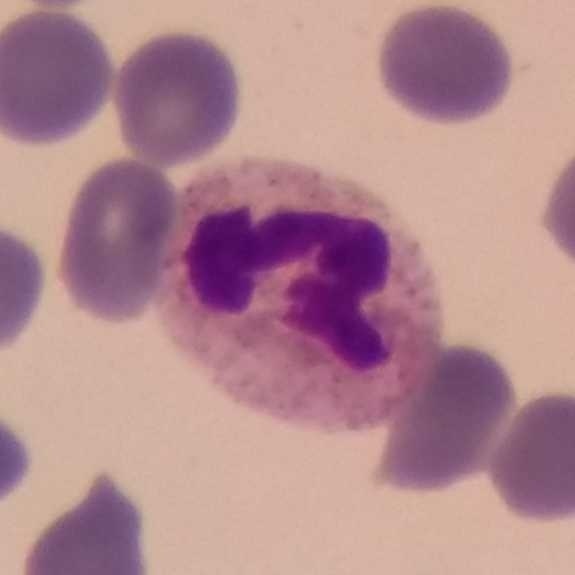
{"cell_type": "neutrophil", "lineage": "myeloid"}